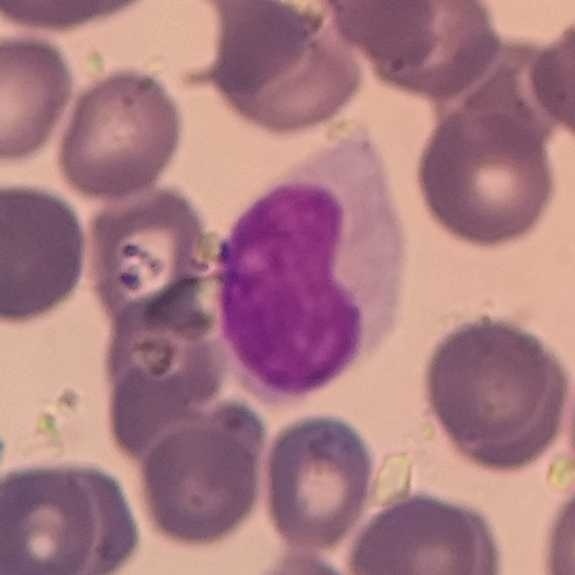

Preparation: Peripheral blood film.
The classification is lymphocyte.